Giemsa stain; 575×575 px; peripheral blood film:
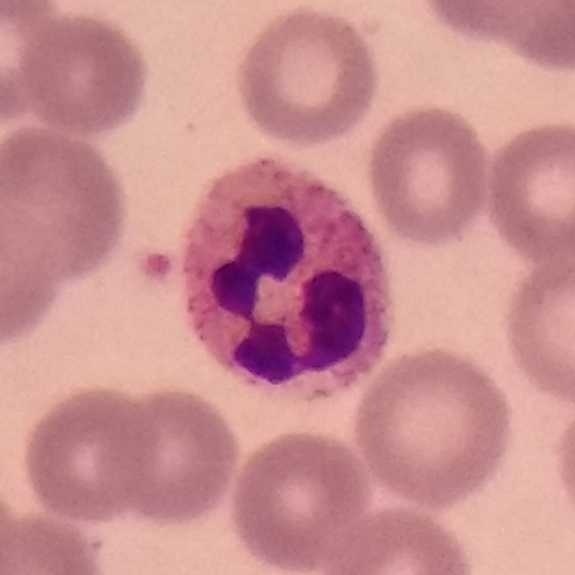 Q: What type of cell is this?
A: A neutrophil.